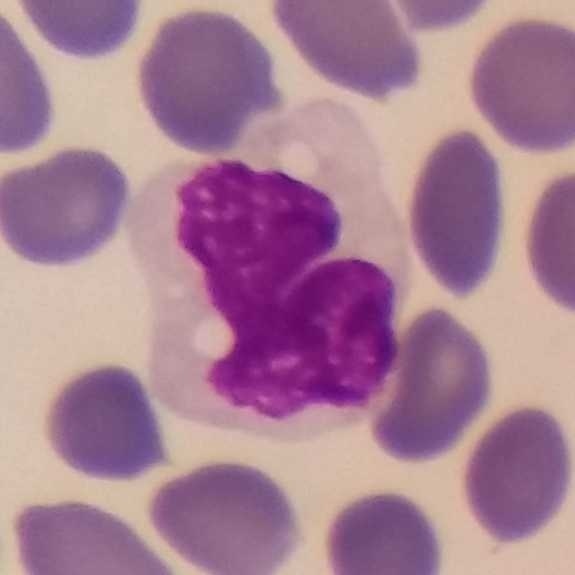

Identified as a monocyte.

Peripheral blood smear · phone-camera image taken through the microscope ocular.